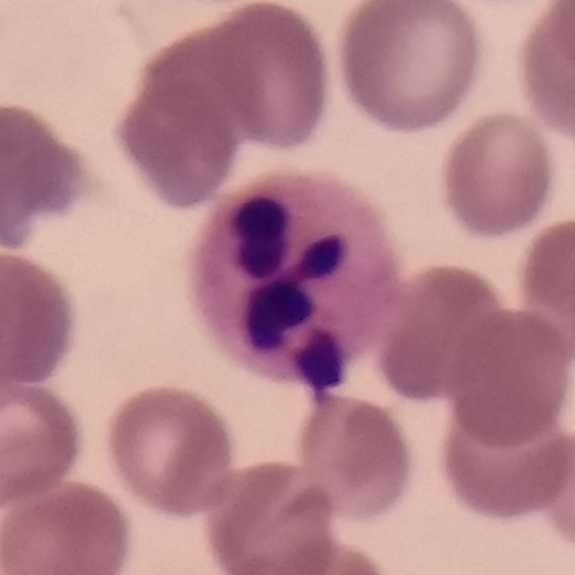
Context: Stained with Giemsa. 575 by 575 pixels. Peripheral blood film.
The white blood cell in this image is a neutrophilic granulocyte.